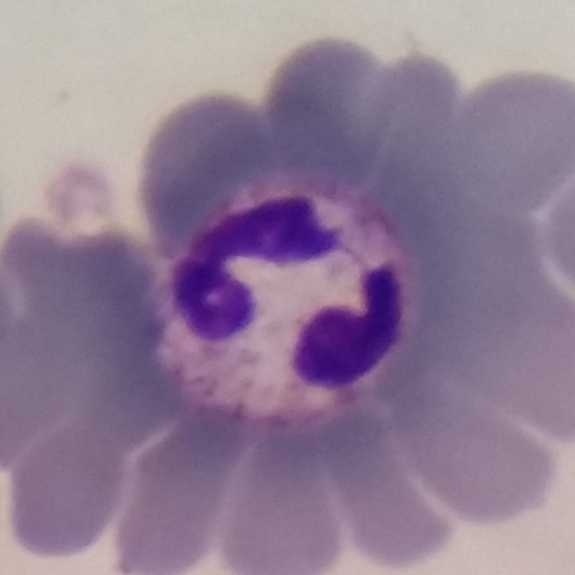Image: Giemsa-stained · smartphone camera mounted on the microscope eyepiece · peripheral blood film. Cell = neutrophil granulocyte.